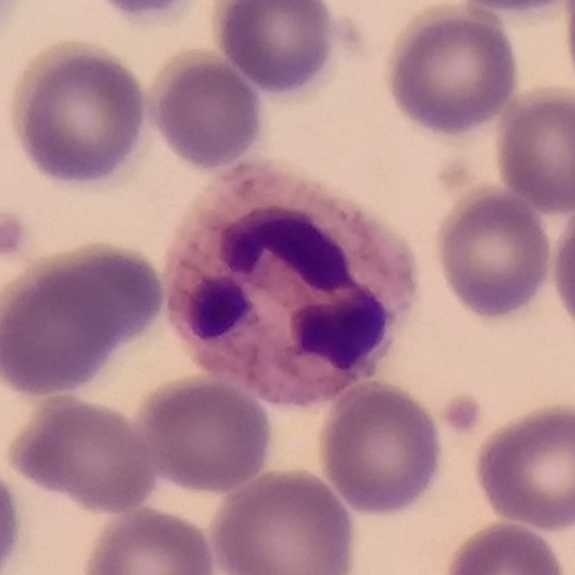

Neutrophil granulocyte. 575×575; peripheral blood film.